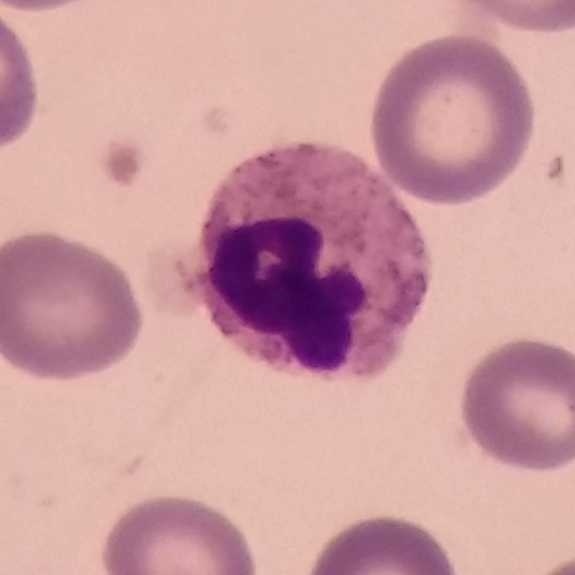
Impression — neutrophilic granulocyte.